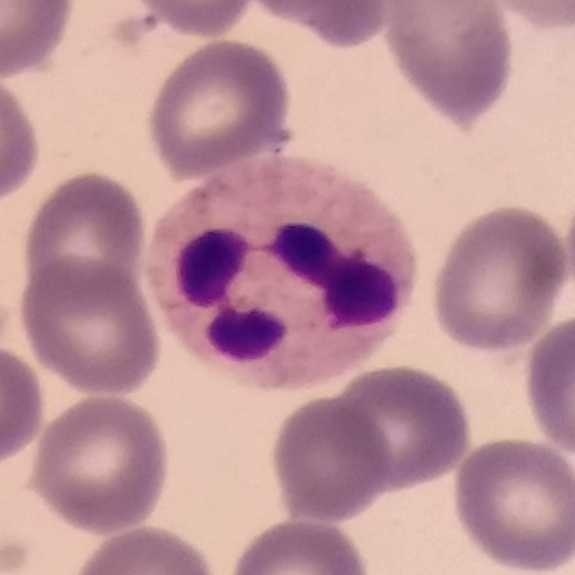Image: Peripheral blood film.

White blood cell type — neutrophil.